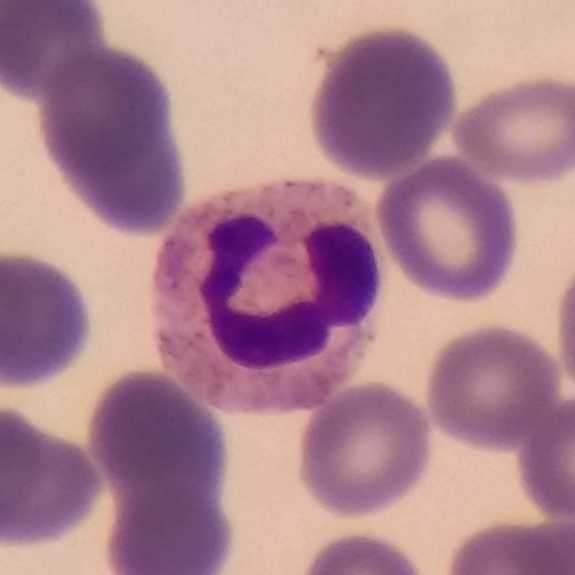 The cell shown is a neutrophil.
Context: Single-cell crop · magnification 100× · peripheral blood smear.